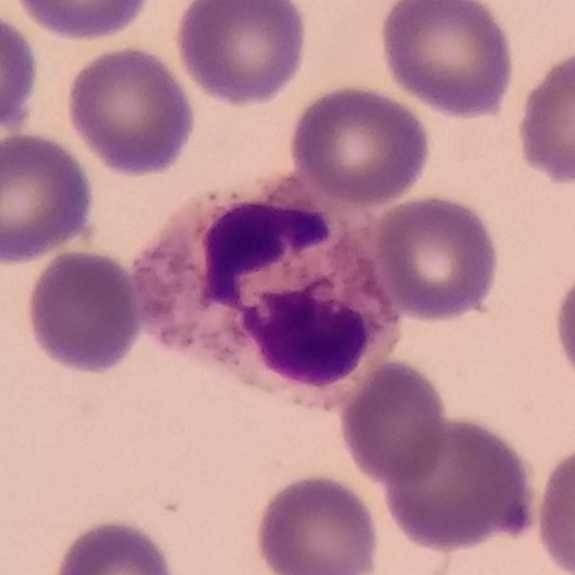Specimen: peripheral blood smear.
Classification: neutrophil.